Peripheral blood film; single-cell crop; smartphone camera mounted on the microscope eyepiece: 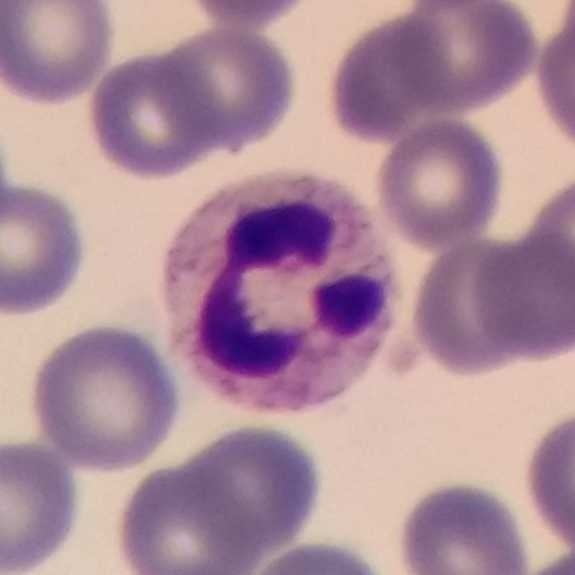A neutrophilic granulocyte.